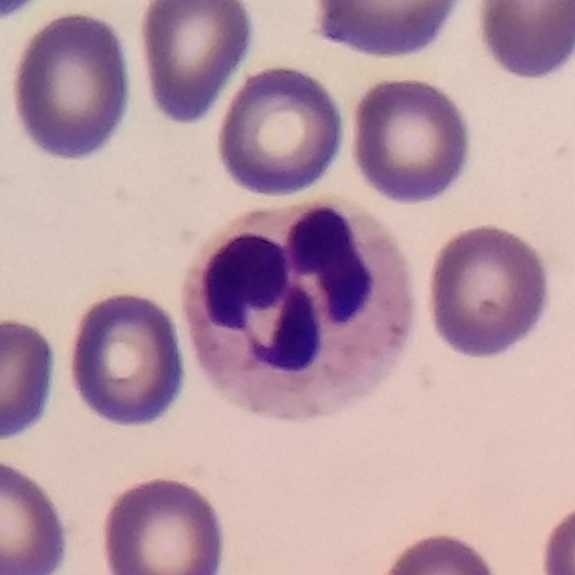
Cell type: neutrophilic granulocyte.

Image: Single-cell field; peripheral blood film.